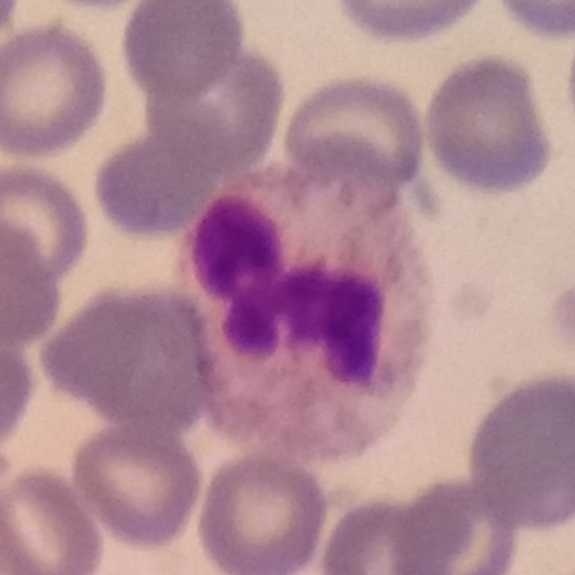
Peripheral blood smear.
Morphology — neutrophilic granulocyte.